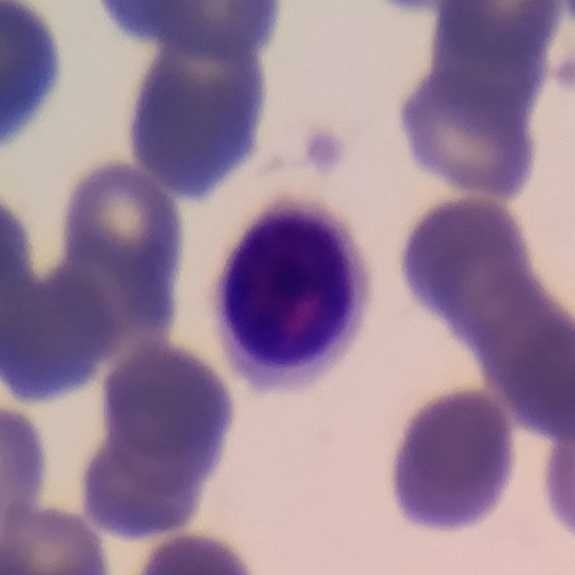Q: Which cell type is shown here?
A: This is a lymphocyte.

Preparation: Single white blood cell cropped from the smear photograph; stained with Giemsa; peripheral blood film.